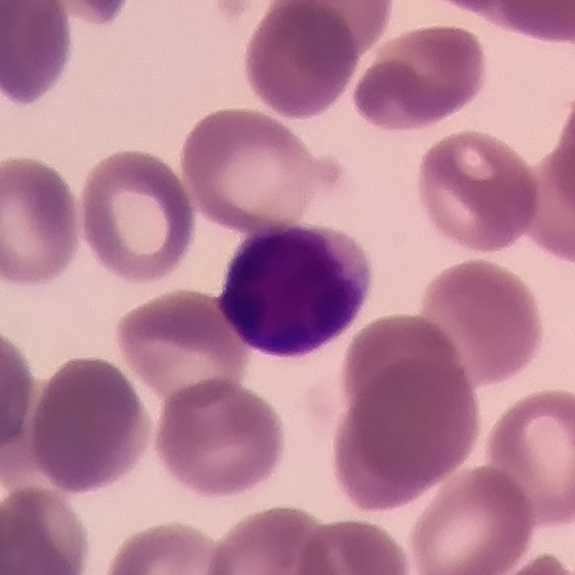

The white blood cell in this image is a lymphocyte.
Acquisition: 575 by 575 pixels; peripheral blood film.